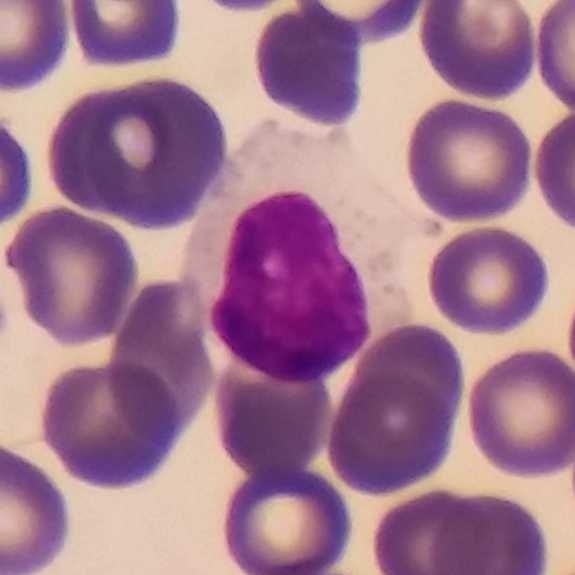

Showing a lymphocyte. Context: Peripheral blood film. Magnification 100×. Cropped to one leukocyte.